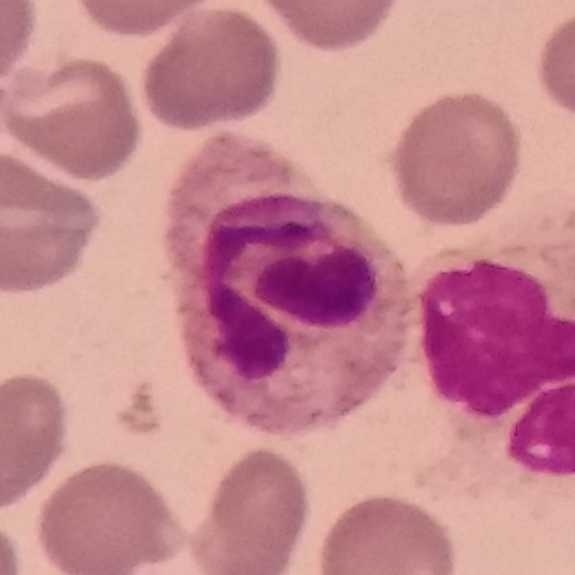
Image: Giemsa stain. Peripheral blood film. Cell type = neutrophil.